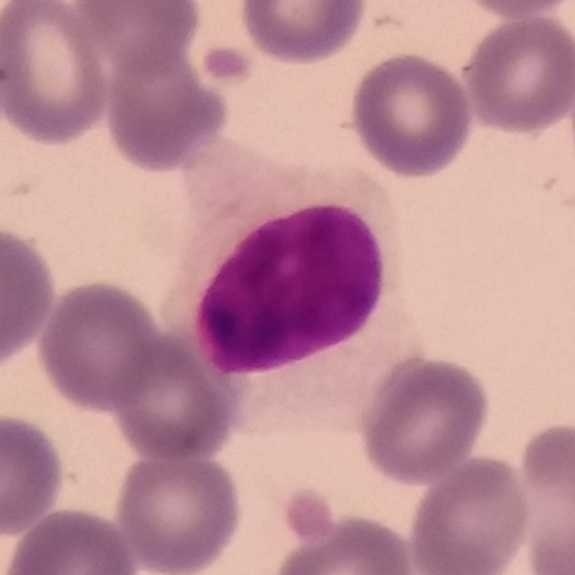Q: Which type of white blood cell is this?
A: A lymphocyte.